Peripheral blood smear — 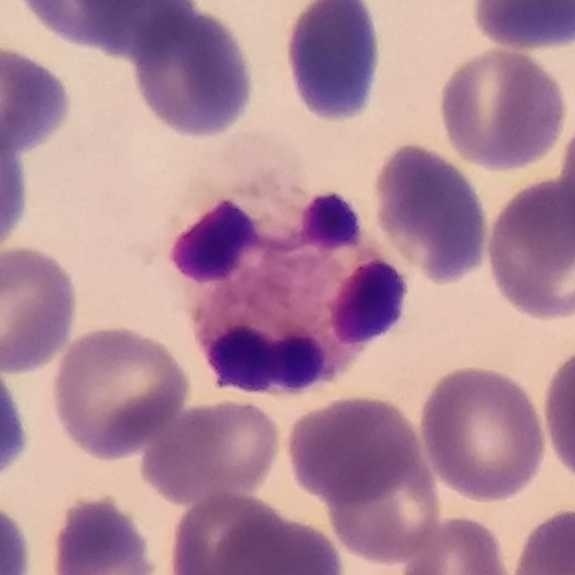
Showing a neutrophil granulocyte.